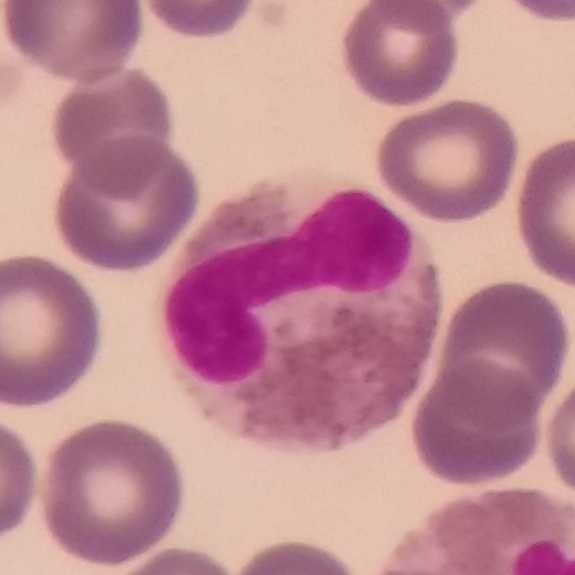Q: What is this?
A: This is an eosinophil.
Peripheral blood smear.